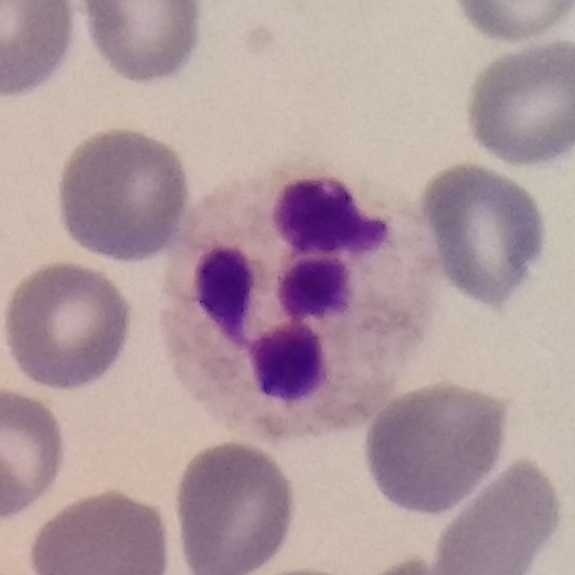

{"cell_type": "neutrophilic granulocyte"}
Preparation: Peripheral blood smear.